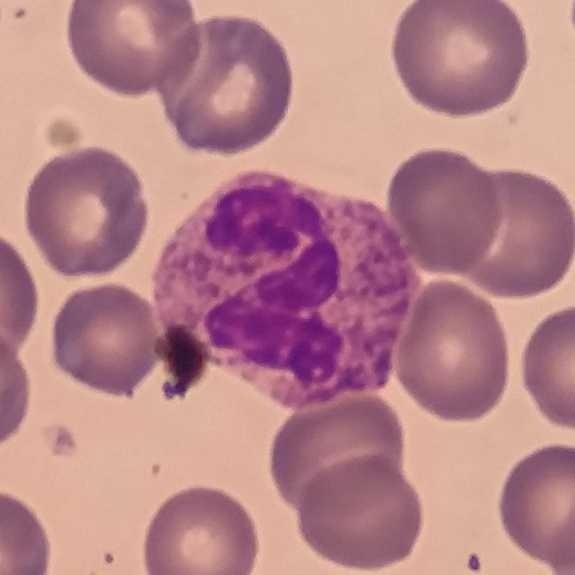

{"cell_type": "neutrophil", "lineage": "myeloid"}